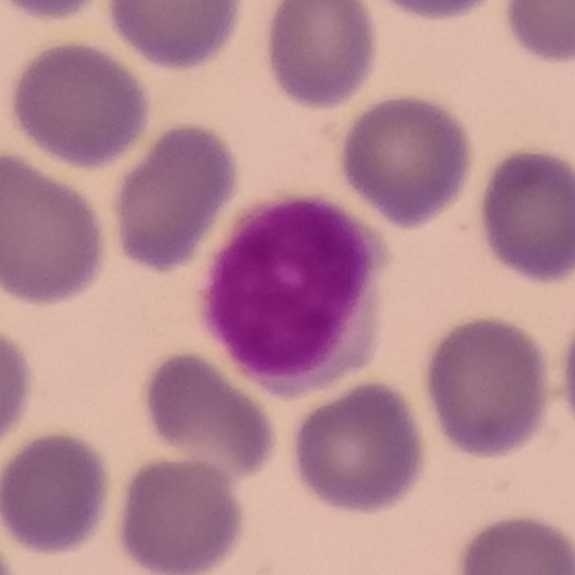
Context: Peripheral blood smear.

Cell = lymphocyte.